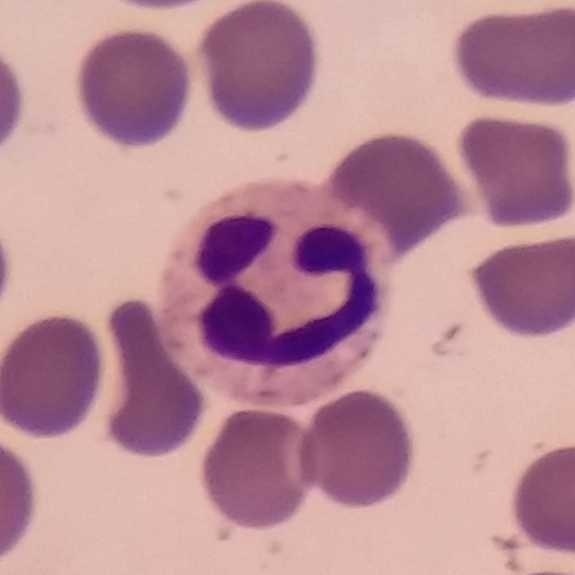 Context: Peripheral blood smear. The classification is neutrophil granulocyte.